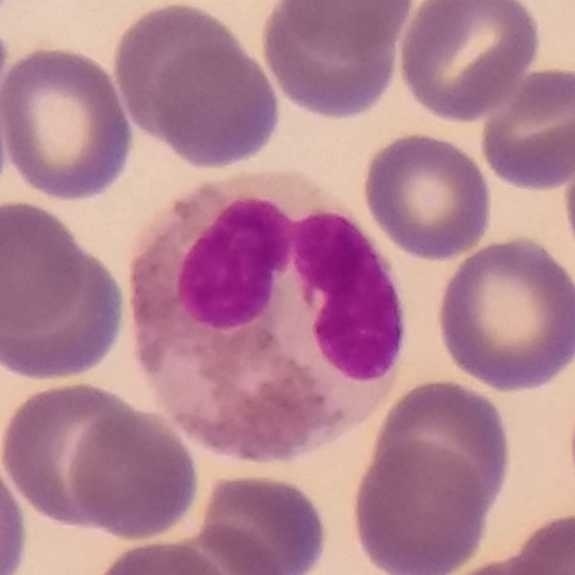

{"cell_type": "eosinophilic granulocyte"}